Peripheral blood smear · stained with Giemsa: 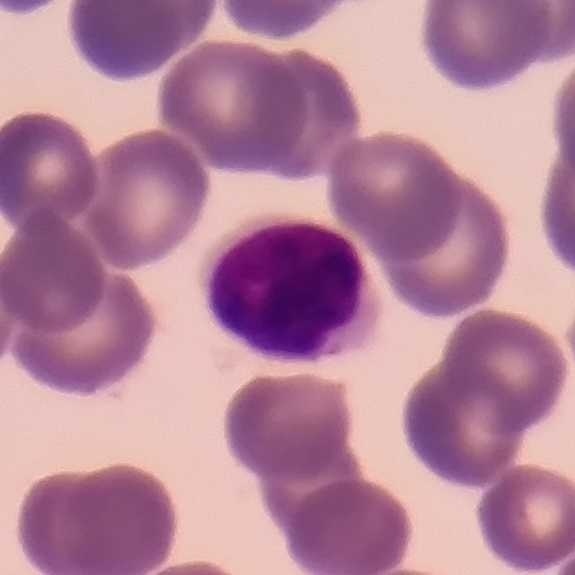
Specimen: peripheral blood film.
Cell: lymphocyte.
Lineage: lymphoid.